Peripheral blood film — 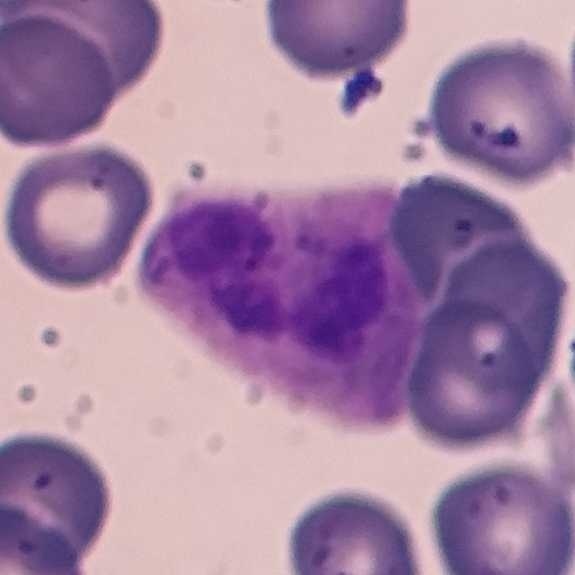{"cell_type": "neutrophil granulocyte"}